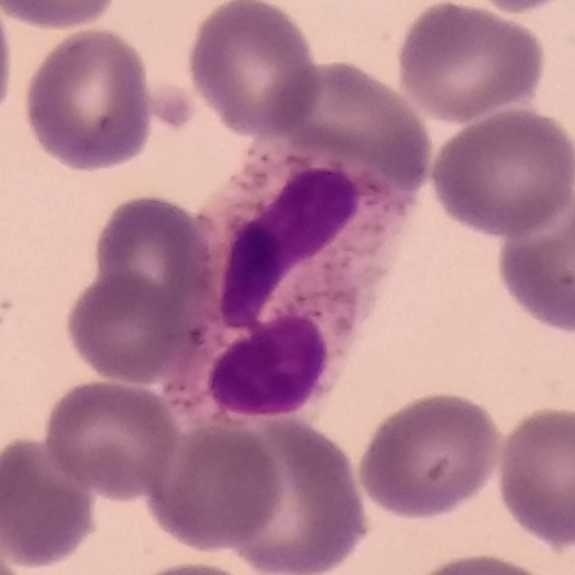

Specimen: peripheral blood film.
Cell type: neutrophil.